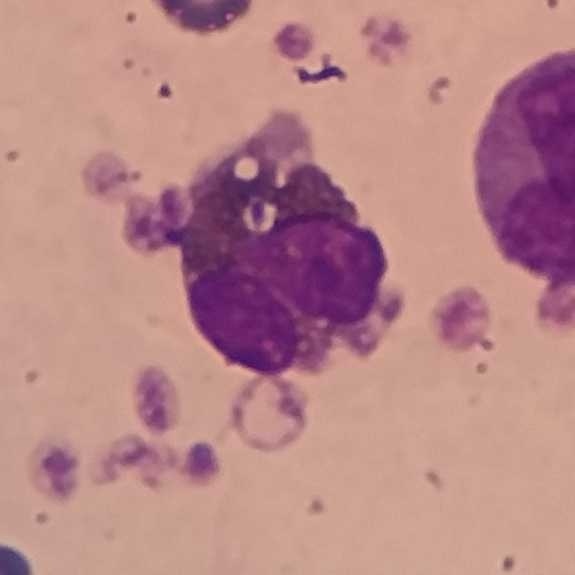

Impression → eosinophil. Acquisition: Peripheral blood smear.